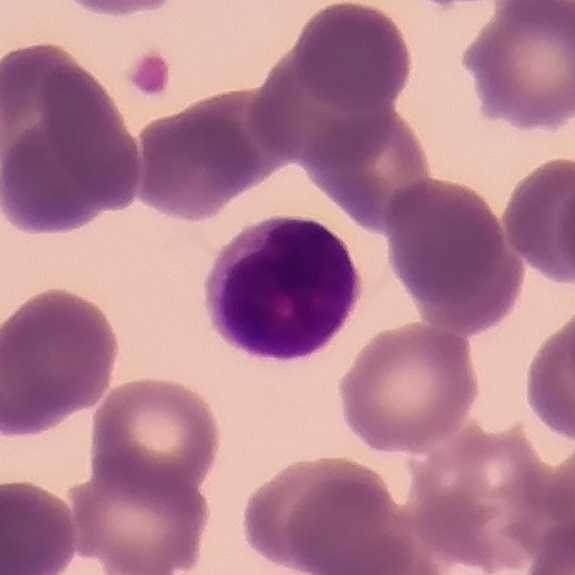 Classification — lymphocyte. Photographed through a light microscope with a smartphone camera · peripheral blood smear.